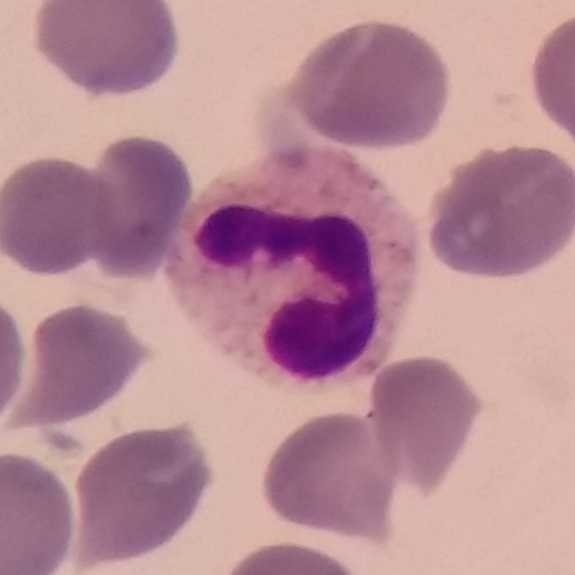

Image: Peripheral blood film.

Identified as a neutrophilic granulocyte.